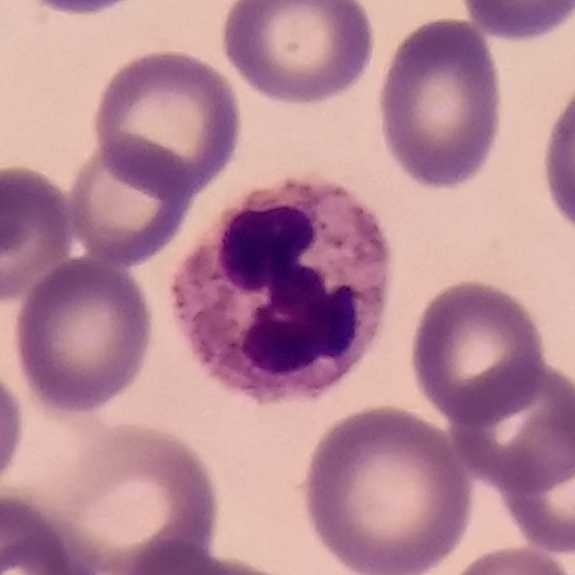 {"cell_type": "neutrophilic granulocyte"}